Giemsa-stained · peripheral blood smear · 575×575 px:
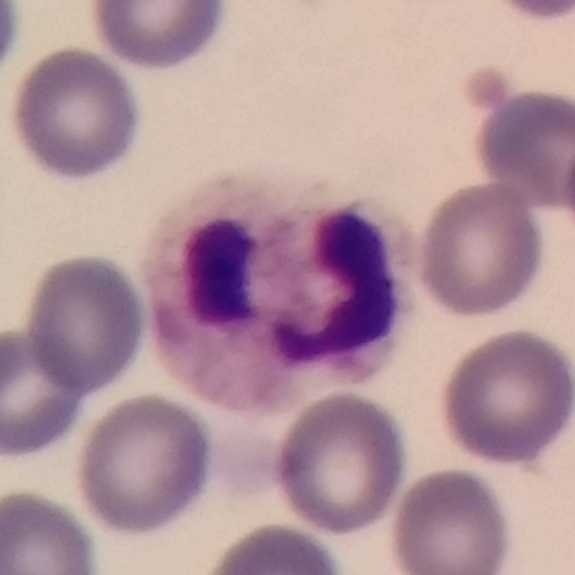

Morphology consistent with a neutrophil.